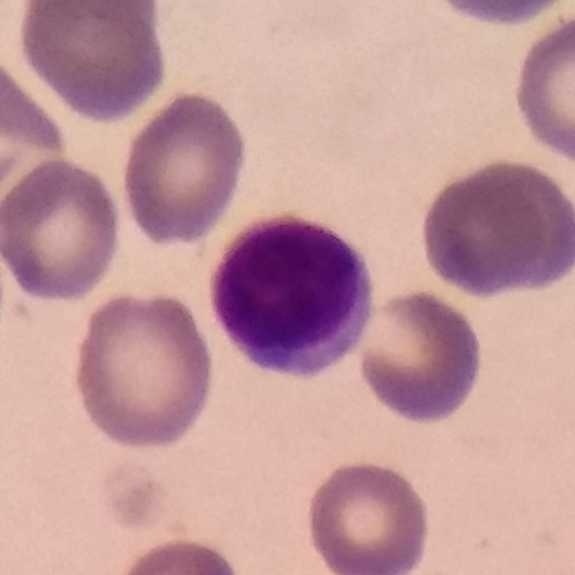Specimen: peripheral blood film.
Cell type: lymphocyte.
Lineage: lymphoid. Preparation: Magnification 100× · single-cell crop.